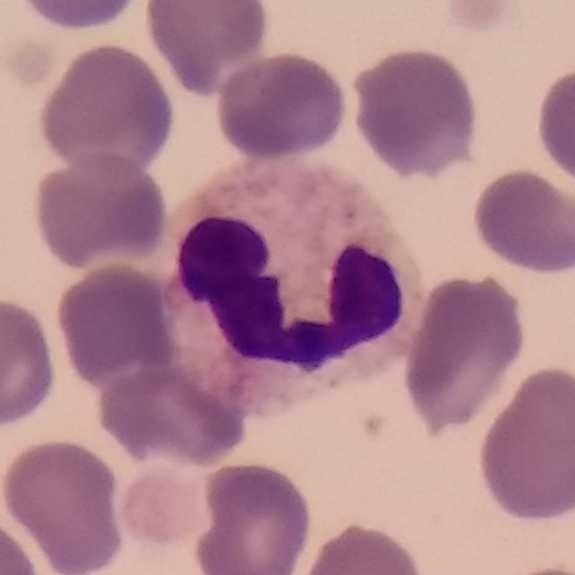Q: Identify the cell.
A: Neutrophilic granulocyte.